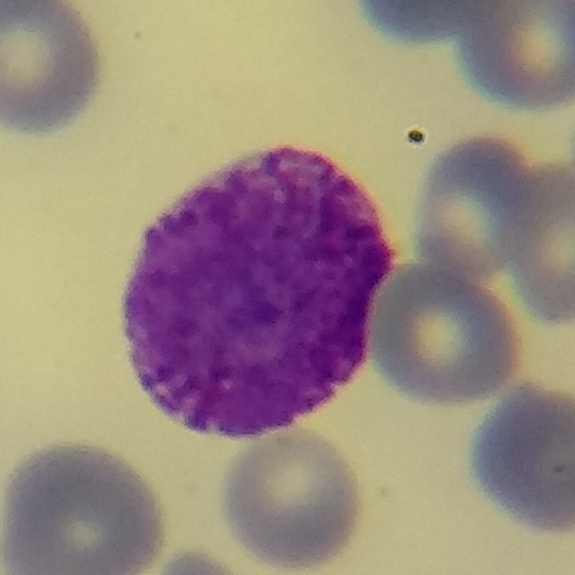

Acquisition: 100× magnification · peripheral blood film · 575 by 575 pixels.

Basophil.